Peripheral blood smear: 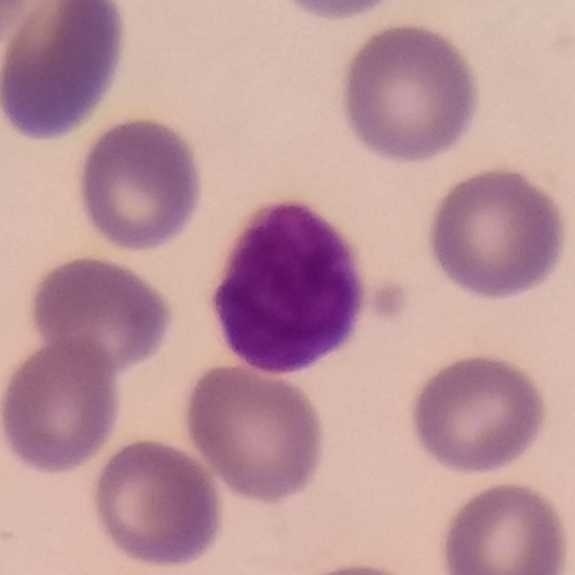
Impression → lymphocyte.